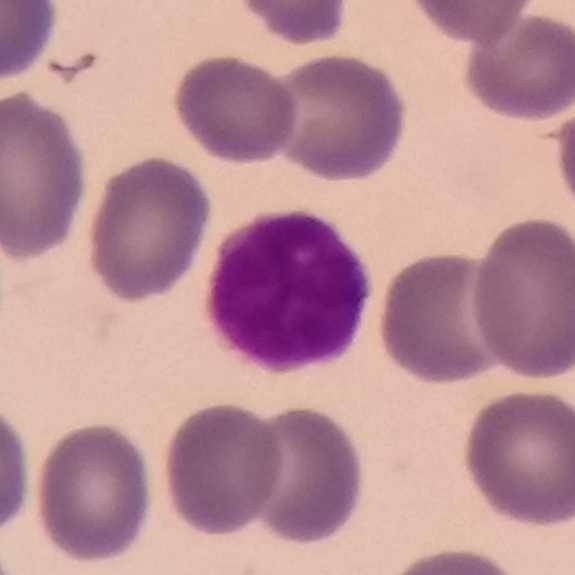 Acquisition: Image size 575×575. Peripheral blood film.

Impression → lymphocyte.